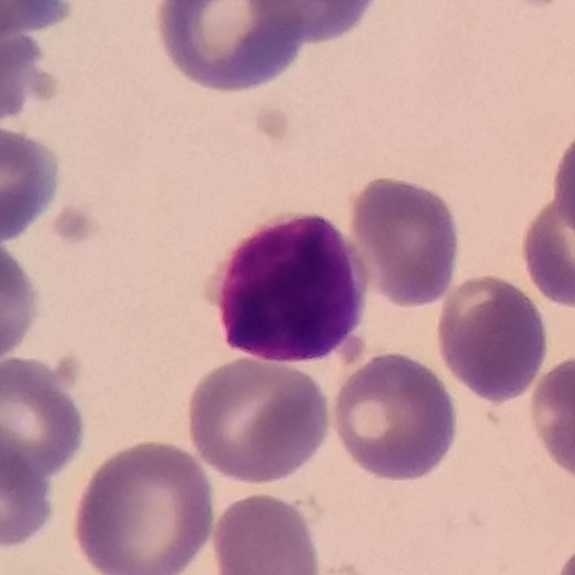

The classification is lymphocyte.